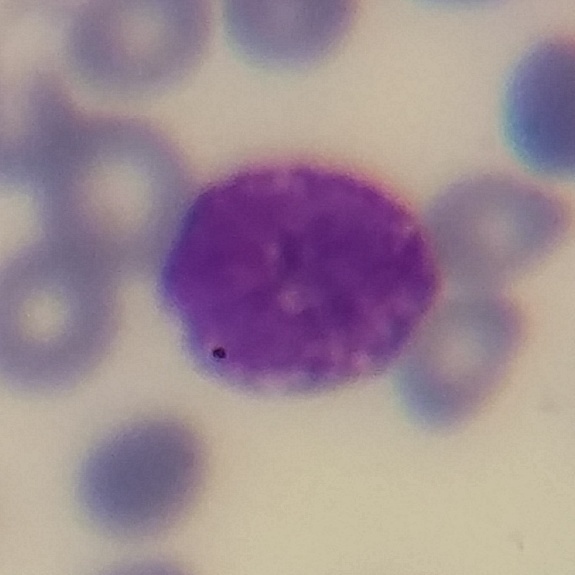 Specimen: peripheral blood film.
Cell type: basophilic granulocyte.
Lineage: myeloid.

Context: Imaged at 100×; Giemsa stain.